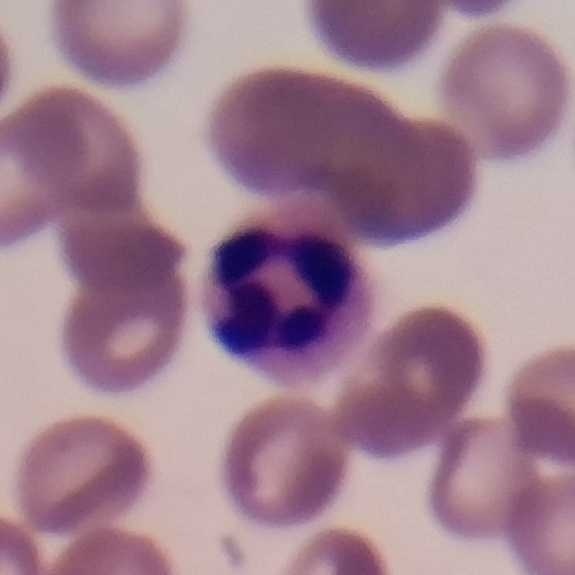
Specimen: peripheral blood film.
Cell: neutrophil granulocyte.
Lineage: myeloid.